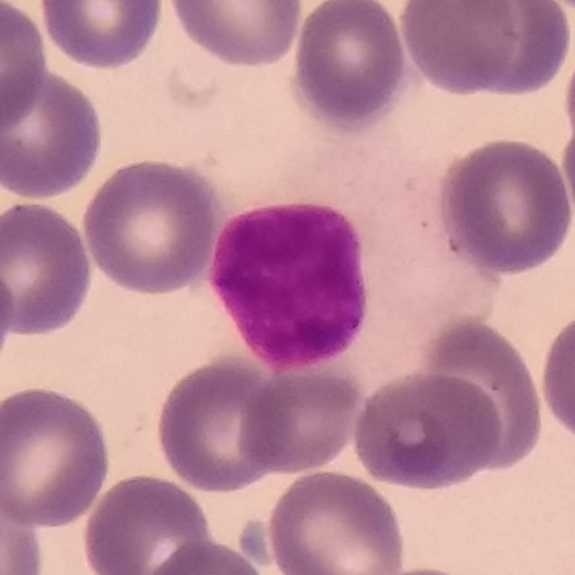 Cell = lymphocyte.